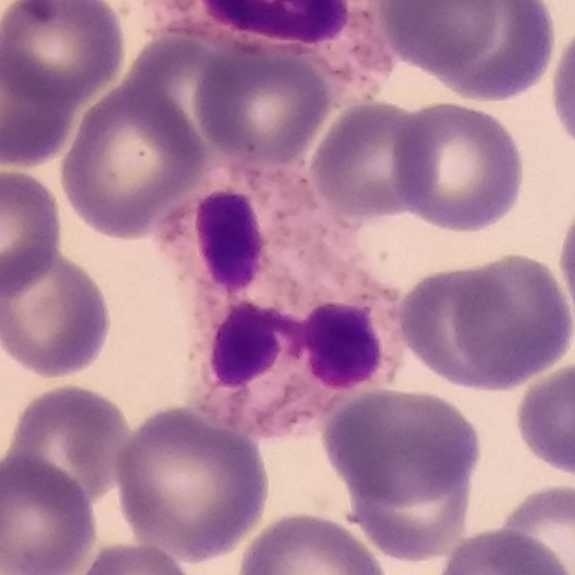

Classification: neutrophil.